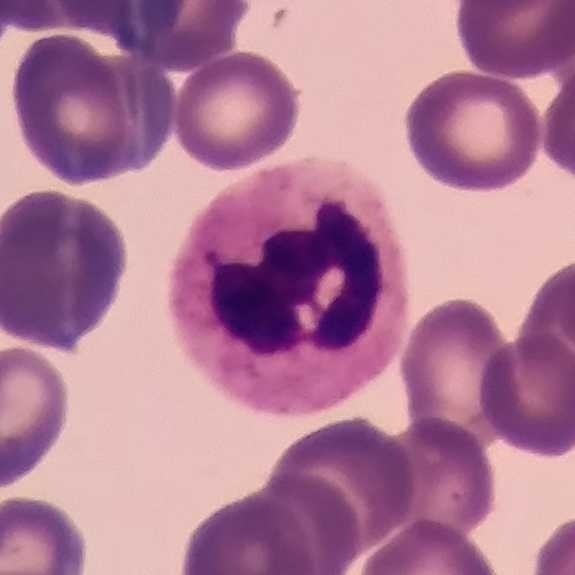

Acquisition: Smartphone photomicrograph · Giemsa stain. Specimen: peripheral blood film.
Classification: neutrophil granulocyte.
Lineage: myeloid.